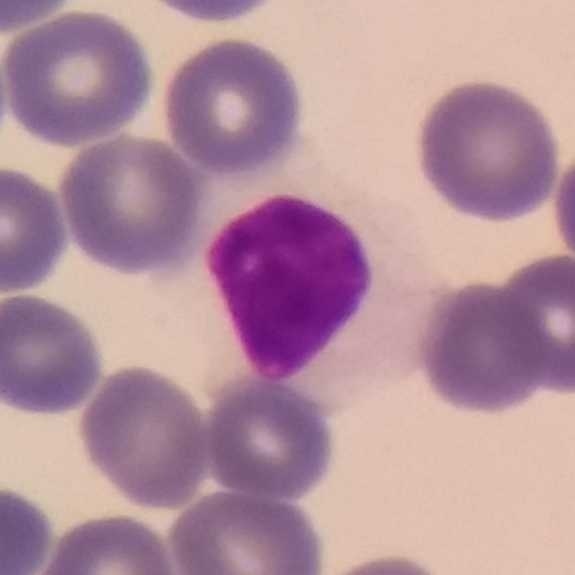Specimen: peripheral blood smear.
Morphological class: lymphocyte.
Lineage: lymphoid.